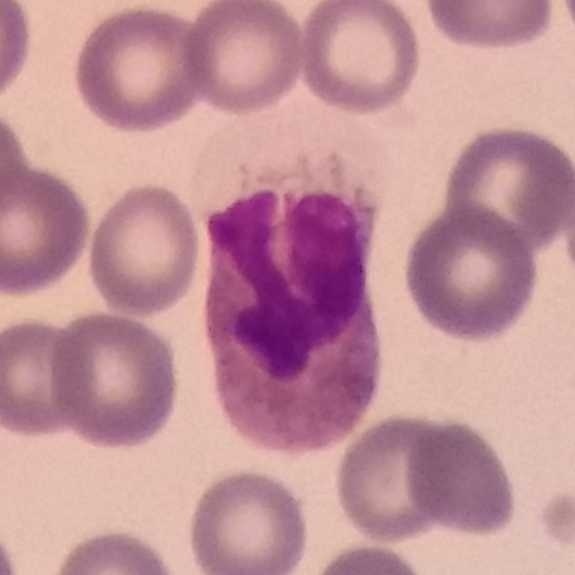 Context: Peripheral blood smear.

Neutrophil granulocyte.